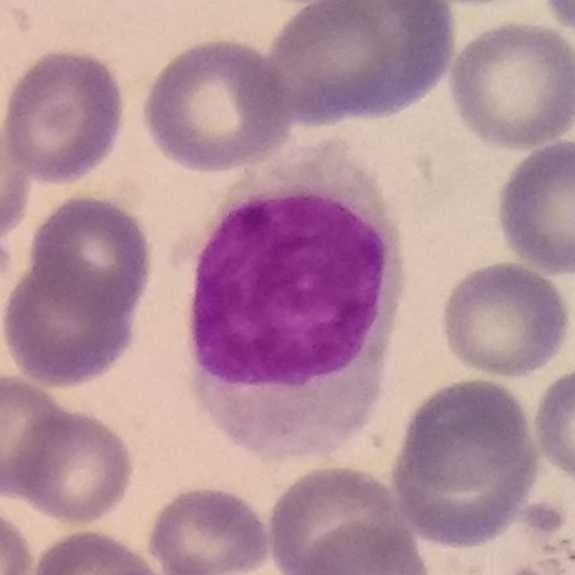
Q: Which type of white blood cell is this?
A: It is a monocyte. Acquisition: Peripheral blood film · single-cell crop.